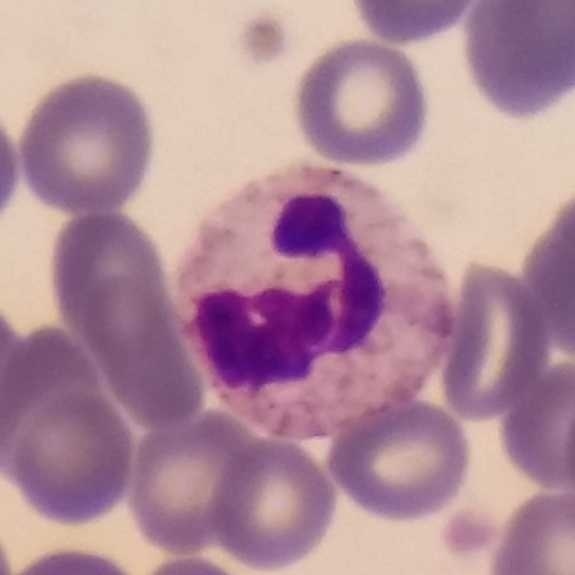

Specimen: peripheral blood film.
Classification: neutrophil granulocyte.